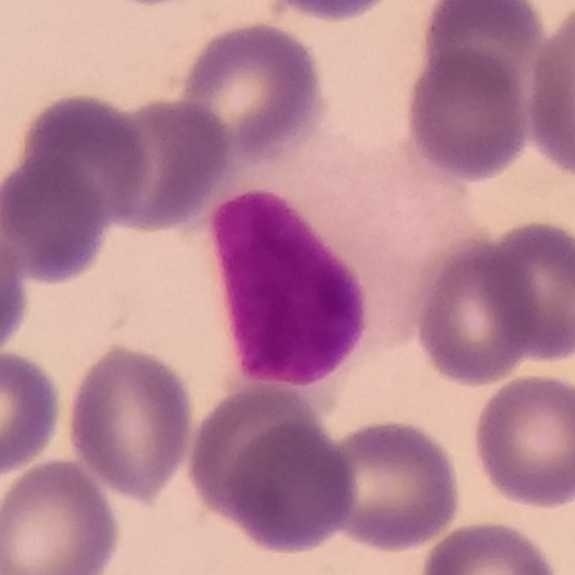

Morphology consistent with a lymphocyte. Acquisition: Peripheral blood film.